Peripheral blood smear:
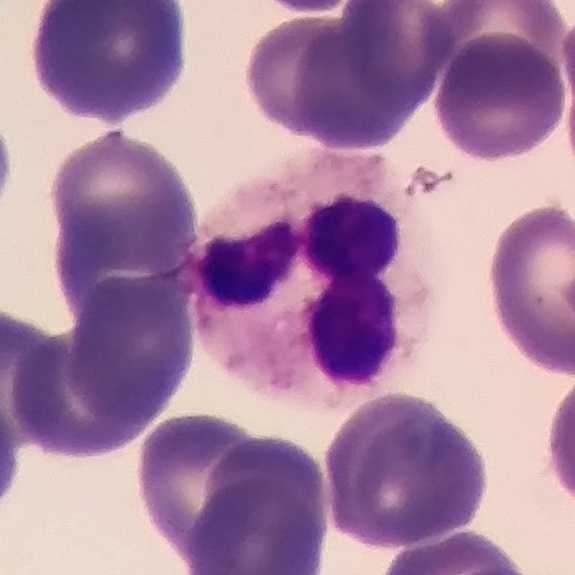 Q: What is the morphological classification of this cell?
A: It is a neutrophilic granulocyte.